Peripheral blood smear; 575 by 575 pixels; phone-camera image taken through the microscope ocular.
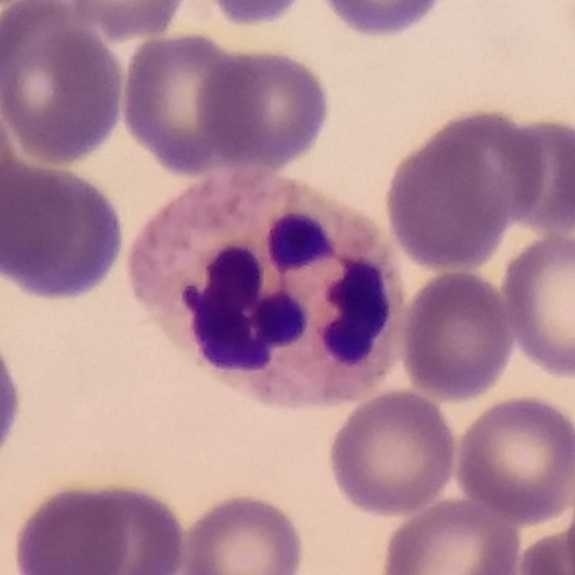

This is a neutrophilic granulocyte.